Peripheral blood film. Imaged at 100×
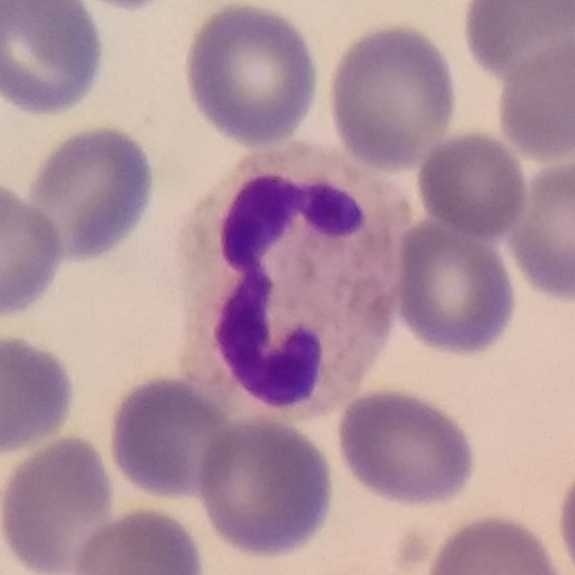 Q: What is shown here?
A: It is a neutrophilic granulocyte.